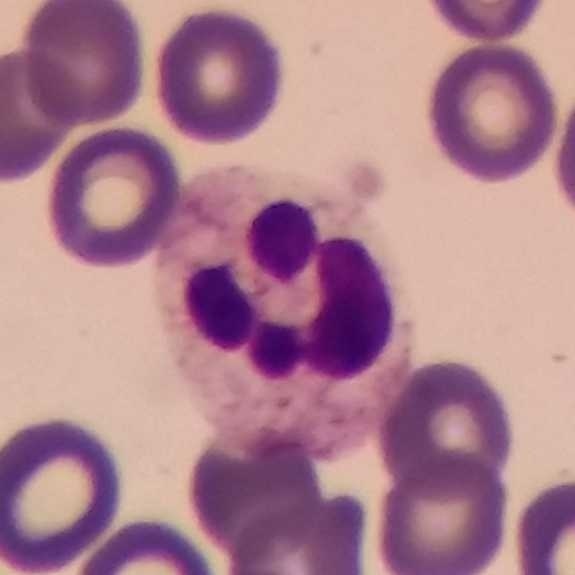Single cell identified as a neutrophil granulocyte. Preparation: 575 by 575 pixels · peripheral blood film.